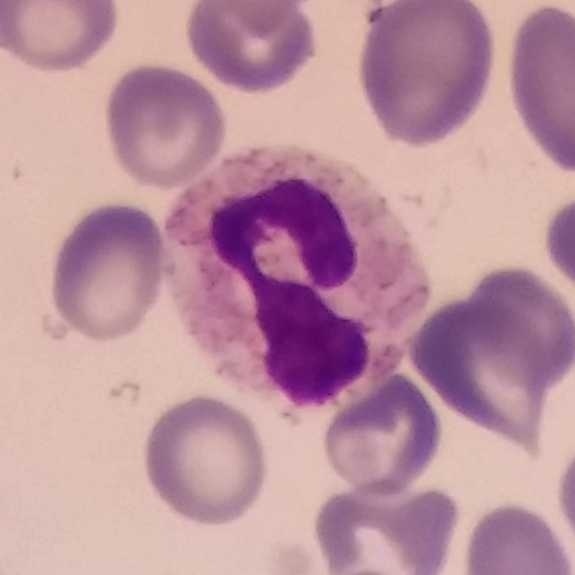 Context: Peripheral blood film. A neutrophil.